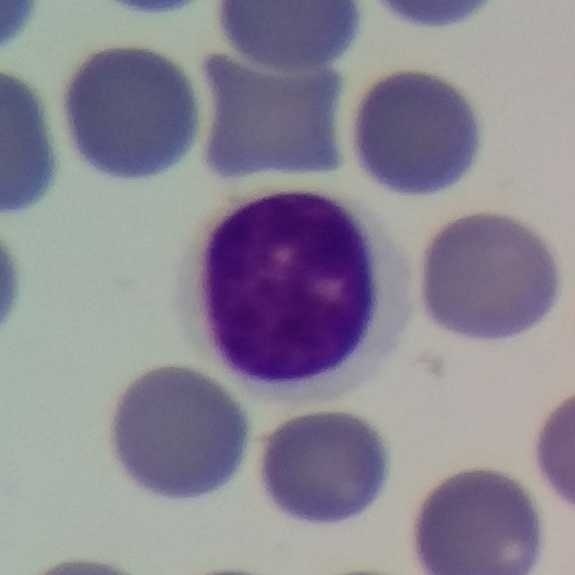
{"cell_type": "lymphocyte", "lineage": "lymphoid"} Context: Peripheral blood film.